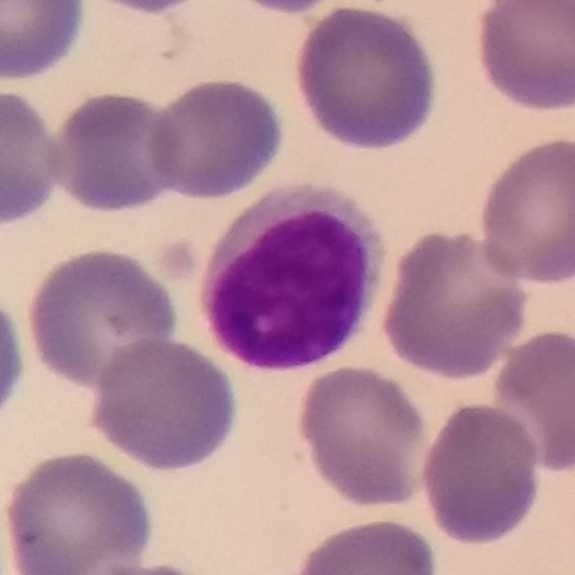
Acquisition: Single white blood cell cropped from the smear photograph. Peripheral blood film.

{"cell_type": "lymphocyte", "lineage": "lymphoid"}